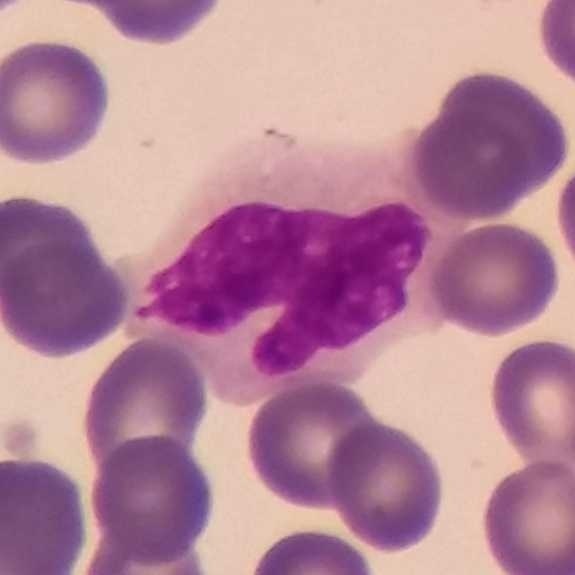
Q: What cell is this?
A: A monocyte.